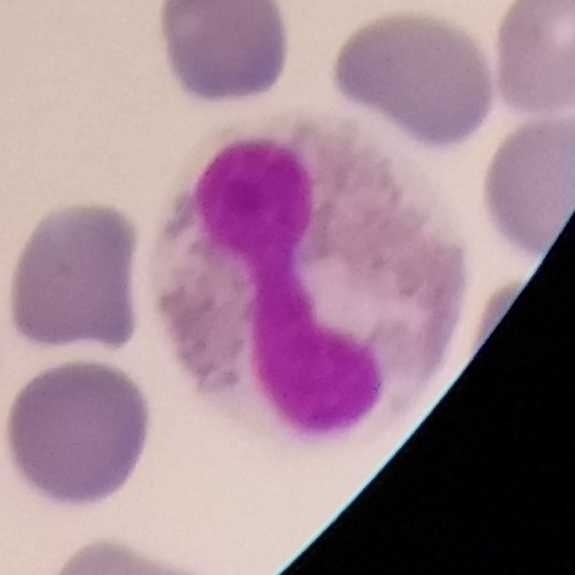 Eosinophilic granulocyte.